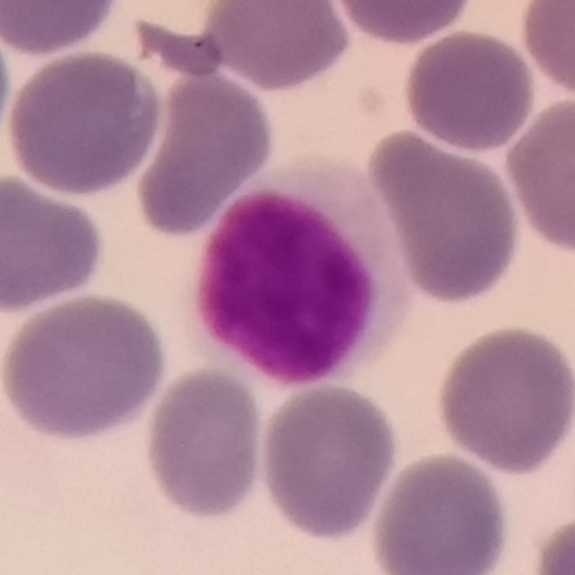Morphology → lymphocyte.
Preparation: Peripheral blood smear; Giemsa stain; smartphone camera mounted on the microscope eyepiece.